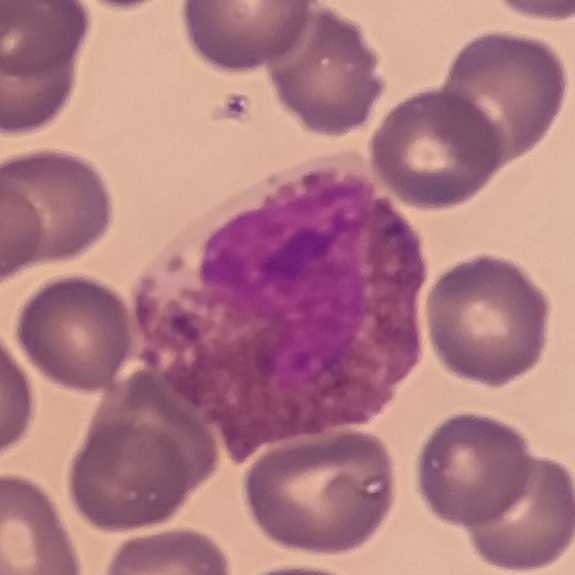

100× magnification; peripheral blood smear; single-cell crop. Q: Classify this leukocyte.
A: Eosinophil.